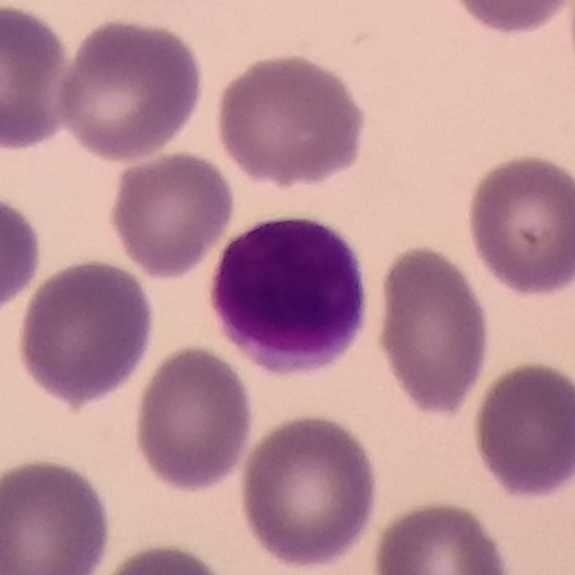Preparation: Peripheral blood smear.

Showing a lymphocyte.